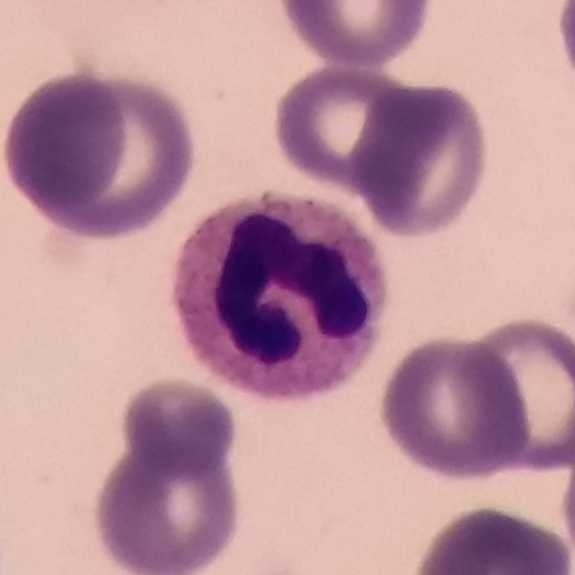Acquisition: Stained with Giemsa. Imaged at 100×. Peripheral blood film. Single cell identified as a neutrophil.